Peripheral blood smear:
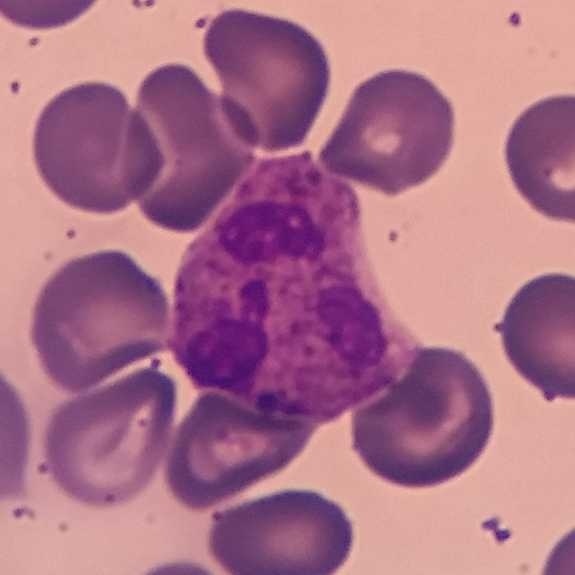

Showing a neutrophil.